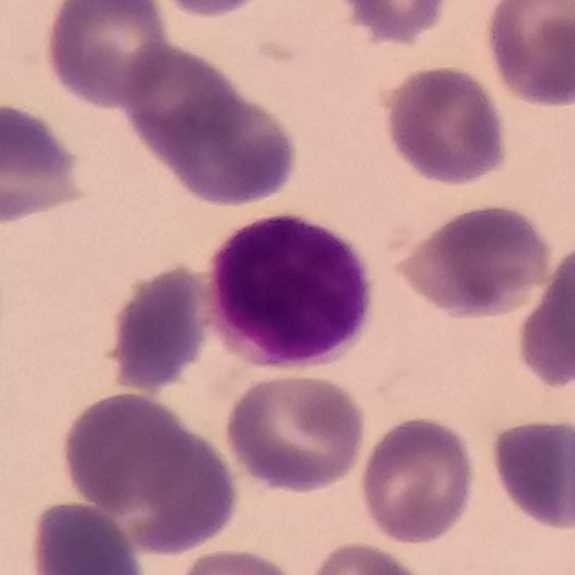 Peripheral blood film. Morphology consistent with a lymphocyte.